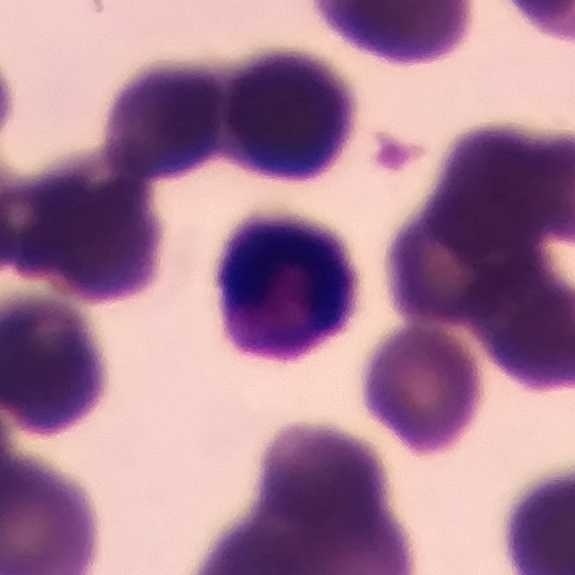 A neutrophil granulocyte.